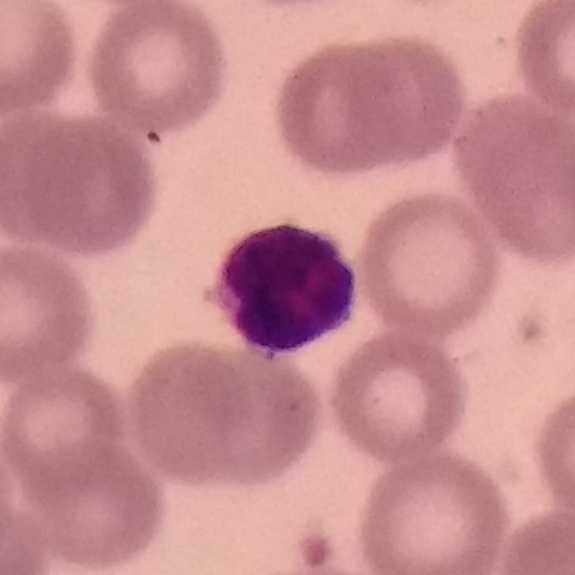Image: Peripheral blood film.

{"cell_type": "lymphocyte", "lineage": "lymphoid"}